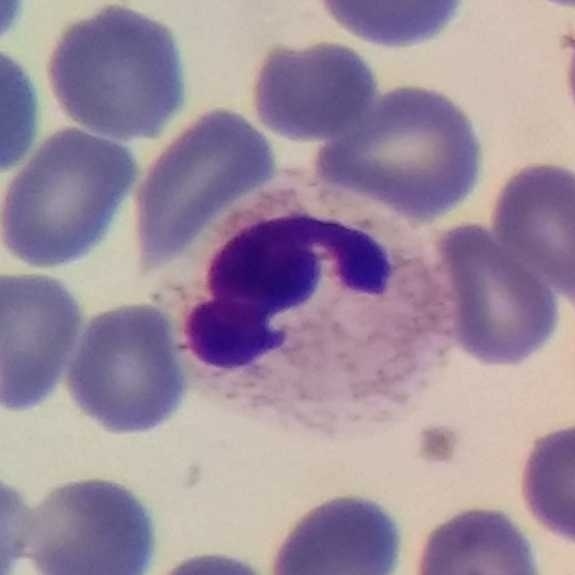

Peripheral blood film.
Morphology consistent with a neutrophil.